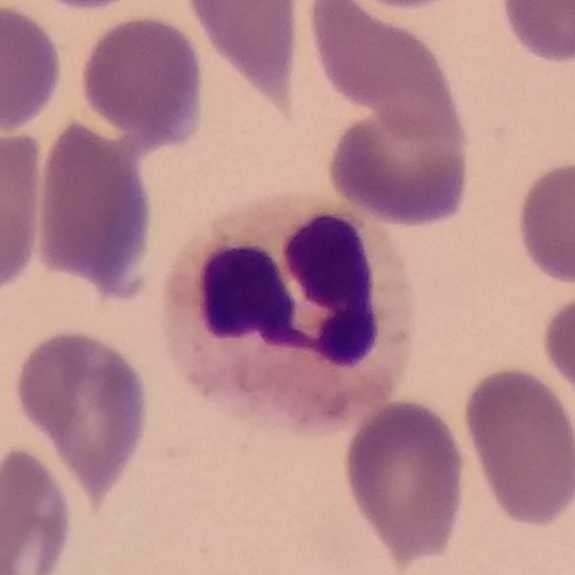Specimen: peripheral blood film.
Cell: neutrophilic granulocyte.
Lineage: myeloid.